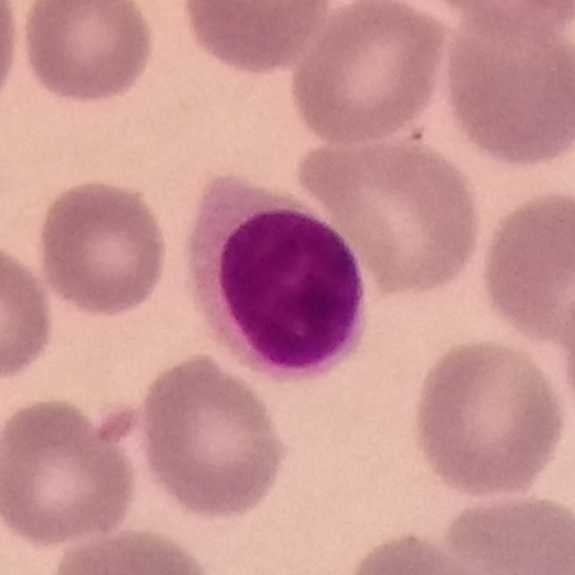 Context: Peripheral blood film; image size 575×575; 100× magnification. Q: Which cell type is shown here?
A: It is a lymphocyte.